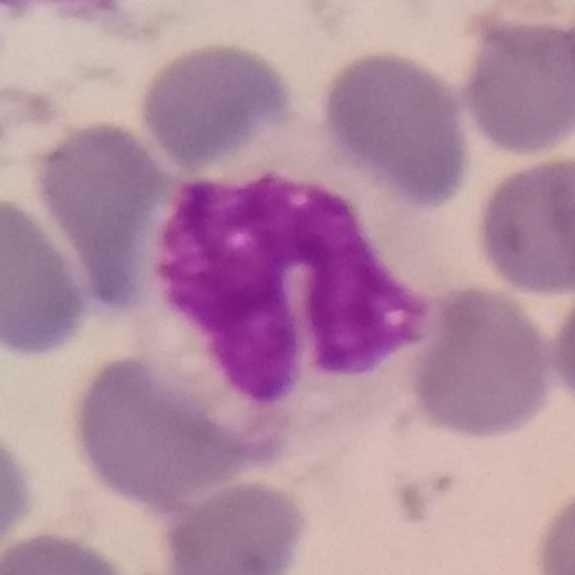
Cell type: monocyte. Imaged at 100× · peripheral blood smear.